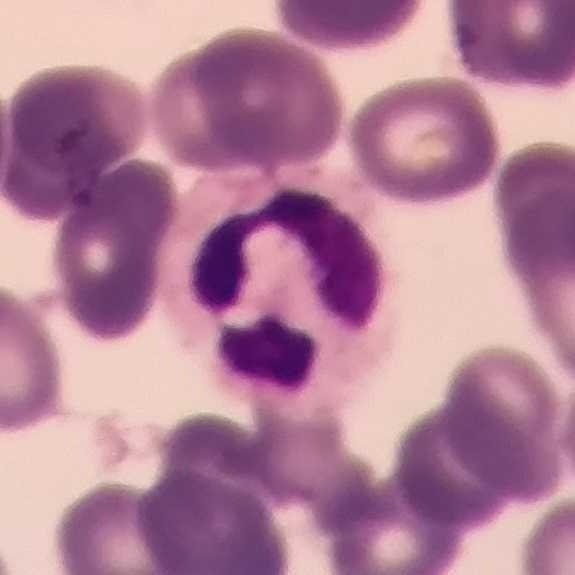

Acquisition: Peripheral blood film · stained with Giemsa.
Q: What cell is this?
A: Neutrophilic granulocyte.